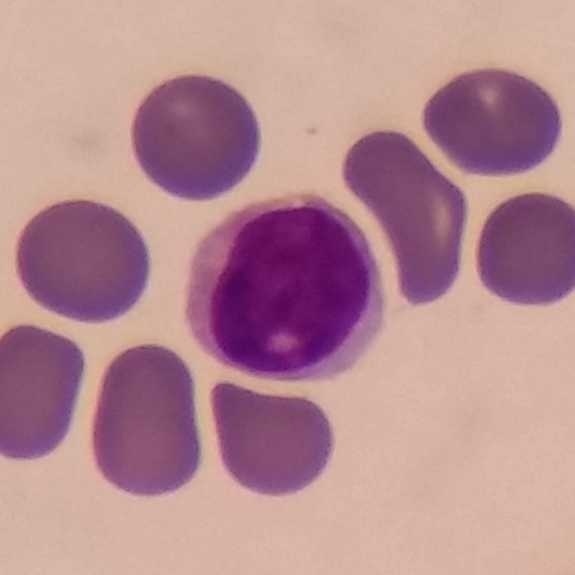 Classification — lymphocyte.
Image: 575 by 575 pixels. 100× magnification. Peripheral blood film.